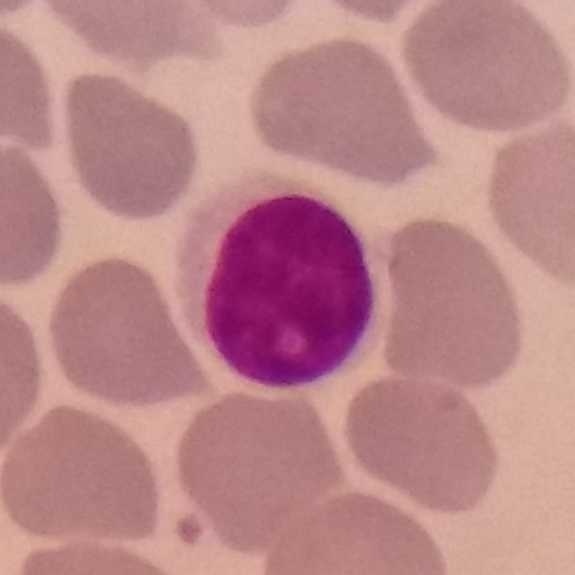

Context: Peripheral blood smear.
Q: Identify the cell.
A: This is a lymphocyte.